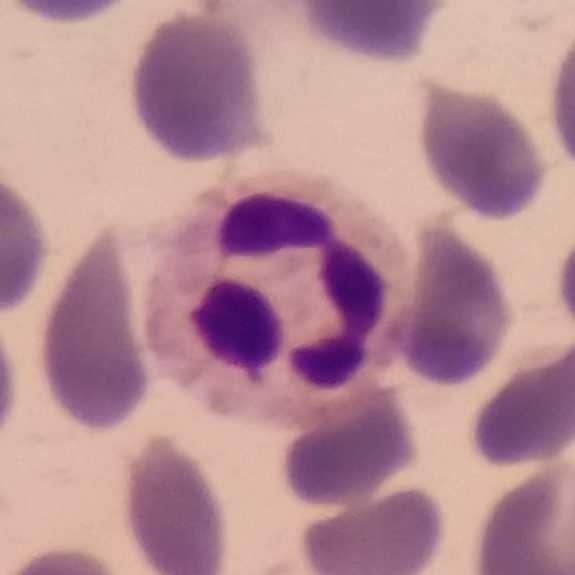

White blood cell type: neutrophilic granulocyte.